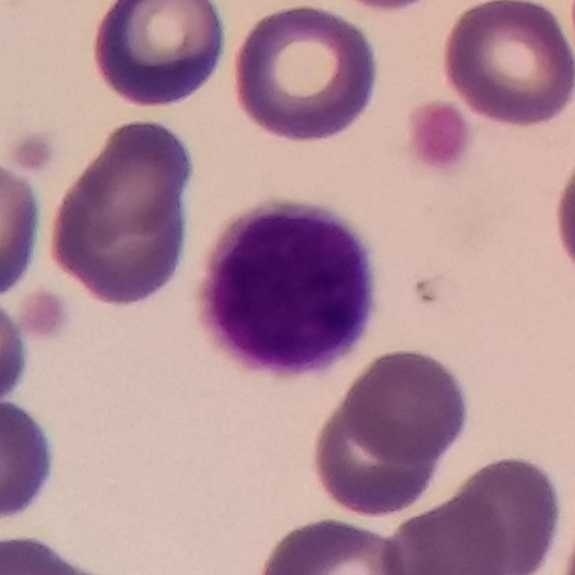

A lymphocyte on a peripheral blood smear.